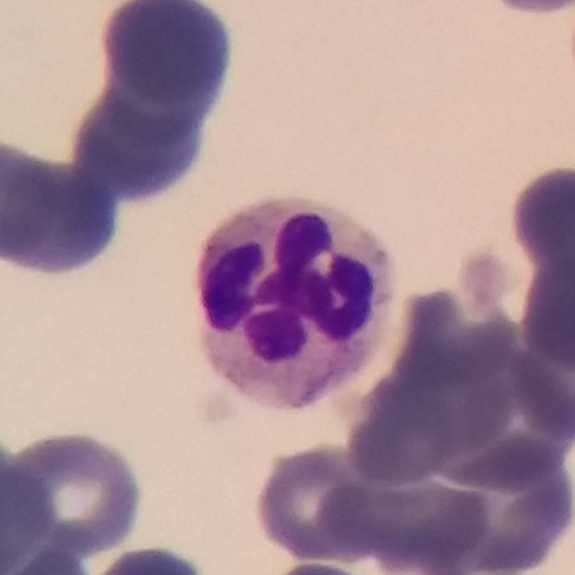 Peripheral blood film; 100× magnification; cropped to one leukocyte. This is a neutrophilic granulocyte.